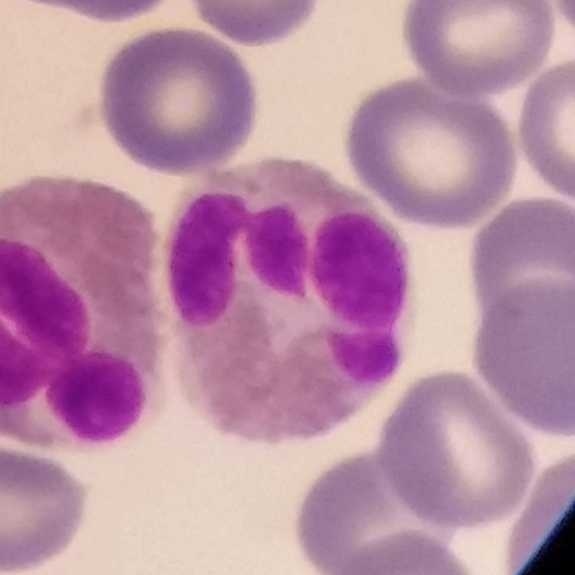Context: 575×575 px. Peripheral blood film.

Showing an eosinophilic granulocyte.